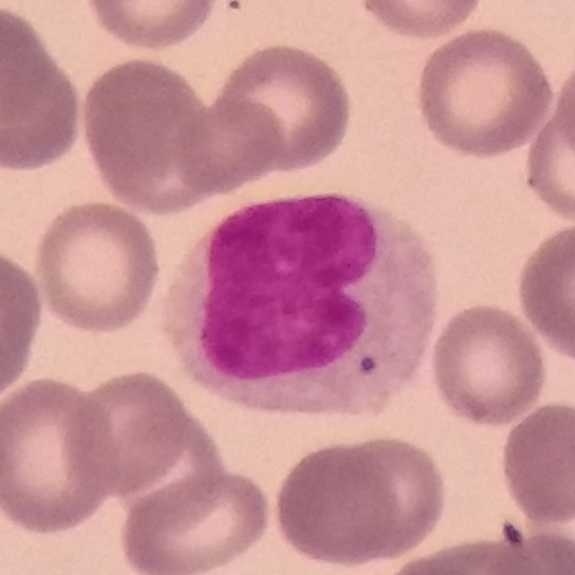
Specimen: peripheral blood smear.
Morphological class: monocyte.